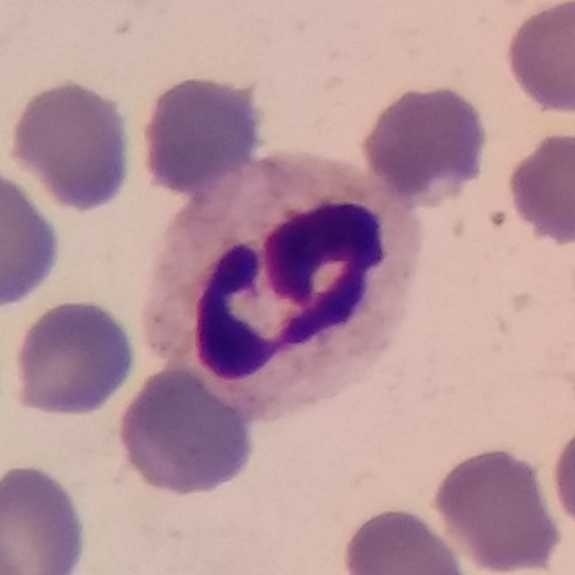
Showing a neutrophil.
Image: Magnification 100× · peripheral blood film.